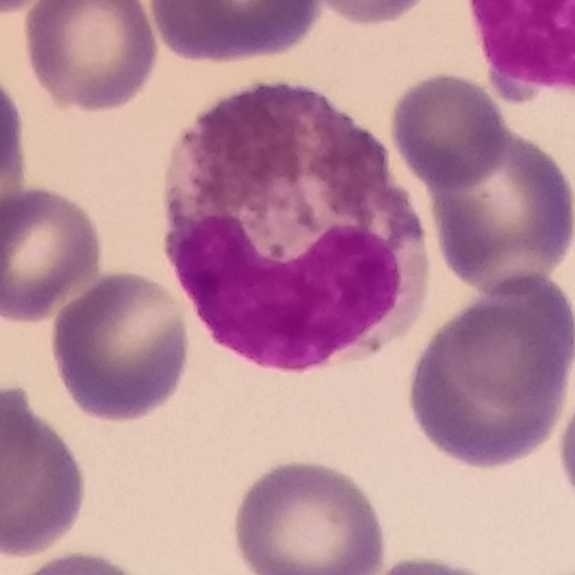 Q: Which type of white blood cell is this?
A: It is an eosinophilic granulocyte.

Peripheral blood film.